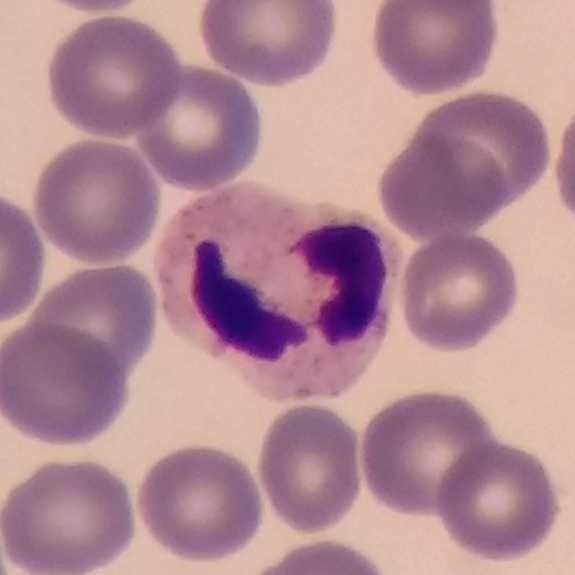 Showing a neutrophil.
Context: Giemsa stain · peripheral blood film · magnification 100×.